Peripheral blood film · smartphone camera mounted on the microscope eyepiece · magnification 100×: 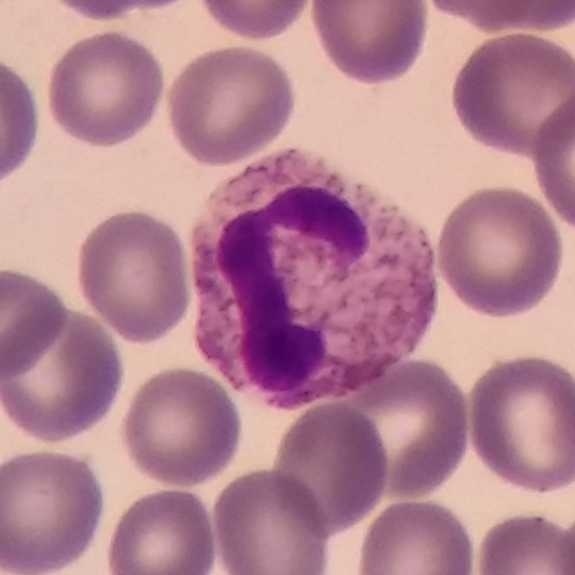
Q: What cell is this?
A: Neutrophil granulocyte.